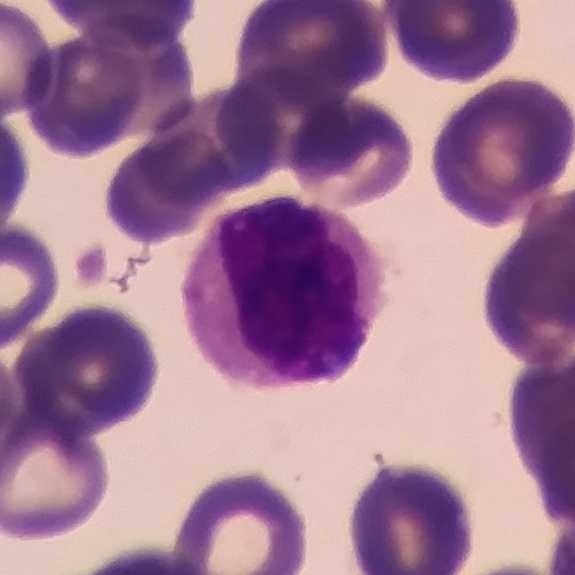
Peripheral blood film. Cell type — lymphocyte.